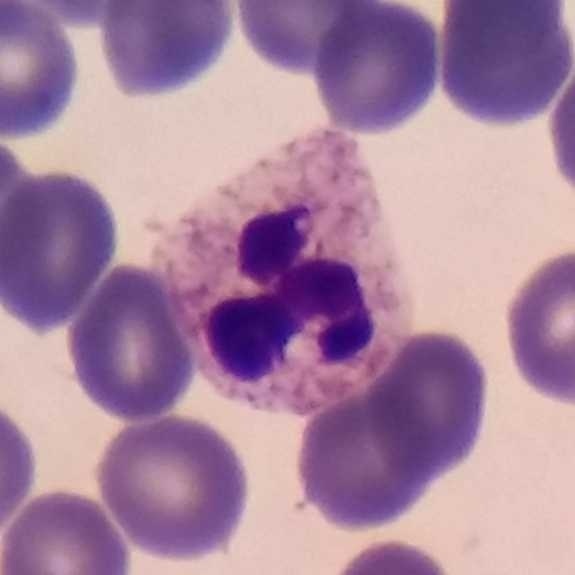

Specimen: peripheral blood smear.
Classification: neutrophil granulocyte.
Lineage: myeloid.